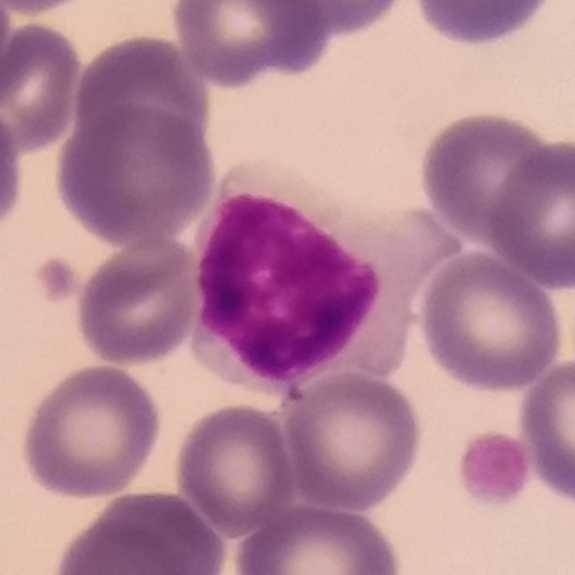
The cell shown is a lymphocyte.

Preparation: Peripheral blood smear.